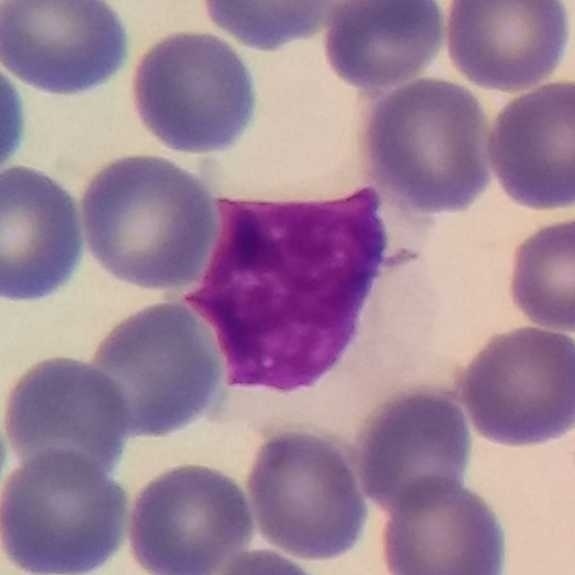 White blood cell type — lymphocyte.
Image: Peripheral blood film.